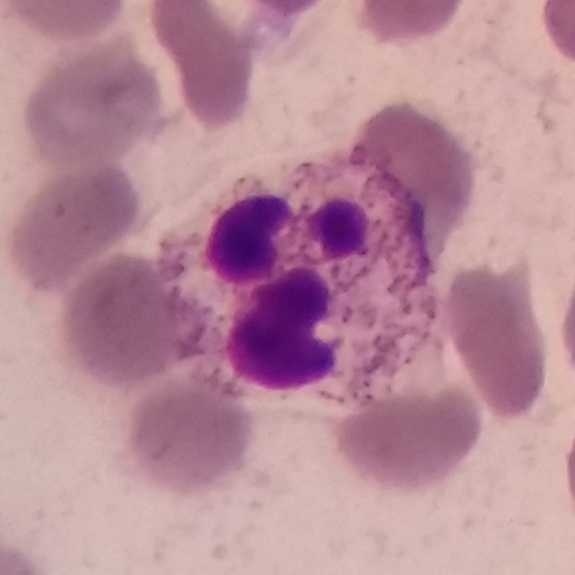Cell type: neutrophil. Peripheral blood smear.